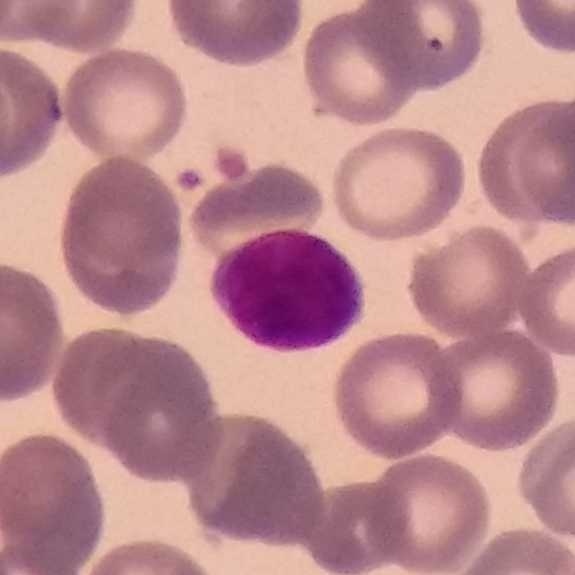A lymphocyte on a peripheral blood smear.